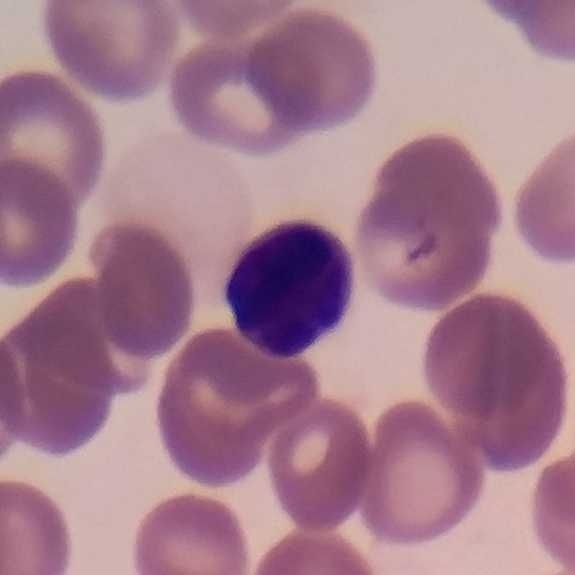Context: Peripheral blood film. Cell = lymphocyte.